Imaged at 100× · photographed through a light microscope with a smartphone camera · peripheral blood film: 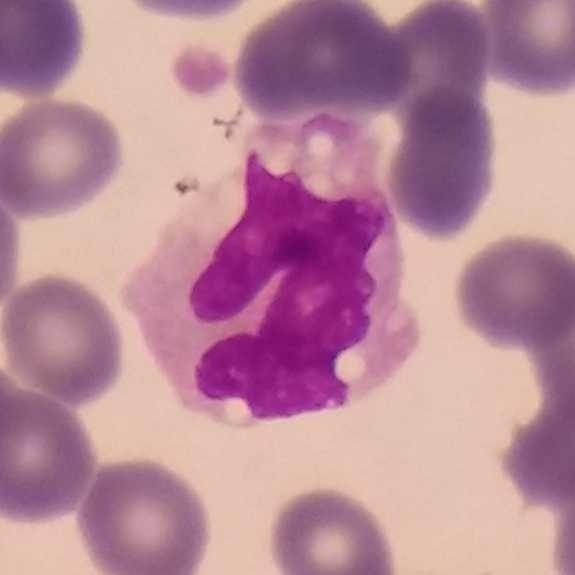Single cell identified as a monocyte.